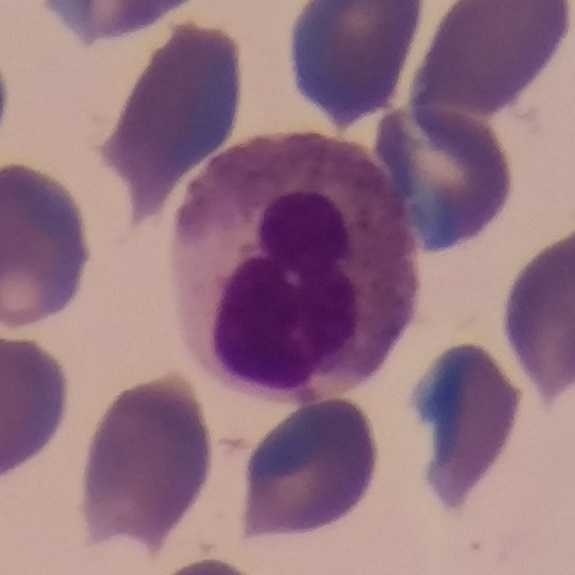

White blood cell type — eosinophil. Peripheral blood smear. Photographed through a light microscope with a smartphone camera.